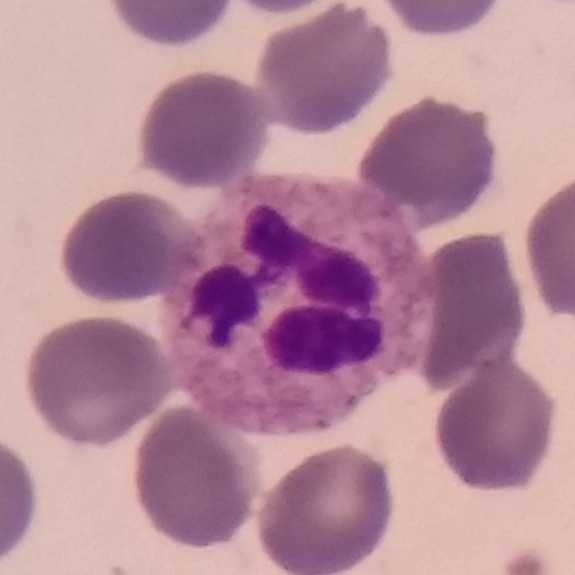 Preparation: Peripheral blood film.
Q: Classify this leukocyte.
A: A neutrophil granulocyte.